Peripheral blood film.
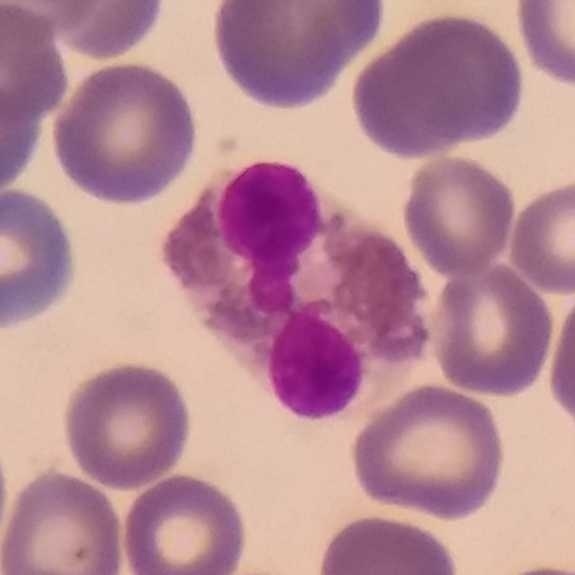Specimen: peripheral blood smear.
Classification: eosinophil.